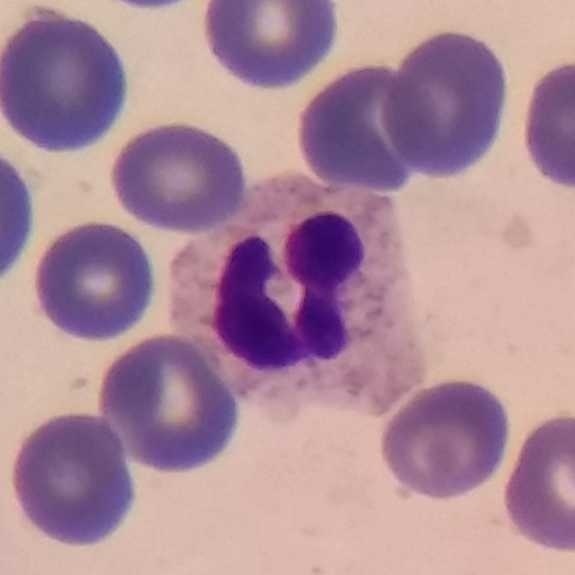 Q: Classify this leukocyte.
A: A neutrophil granulocyte.